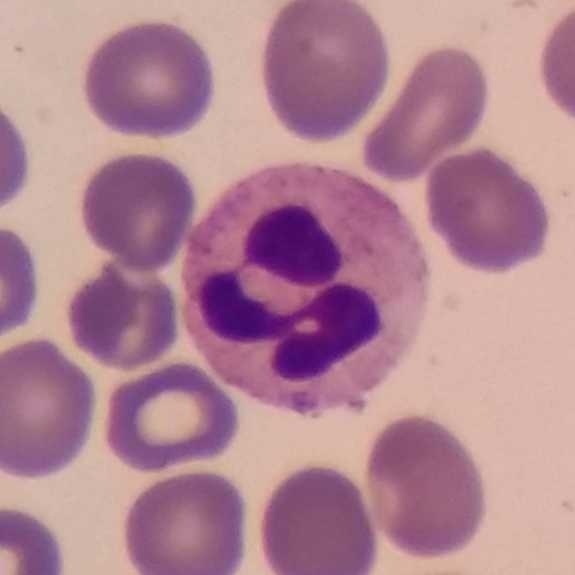

{"cell_type": "neutrophilic granulocyte"}
Preparation: Single-cell crop; peripheral blood smear.